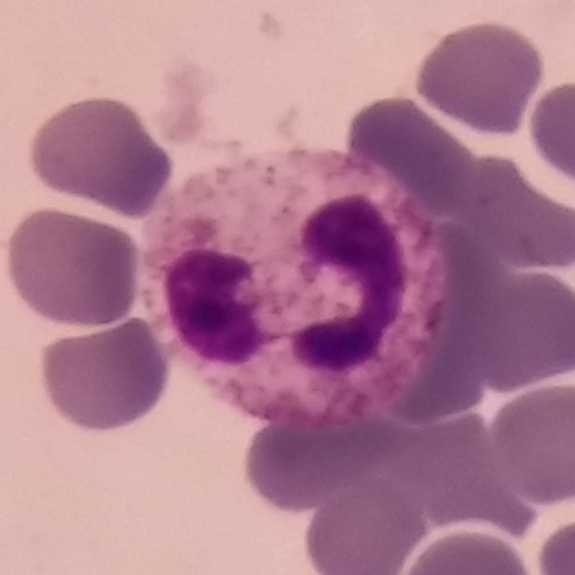White blood cell type: neutrophilic granulocyte.
Acquisition: 575×575; peripheral blood film.